Peripheral blood smear: 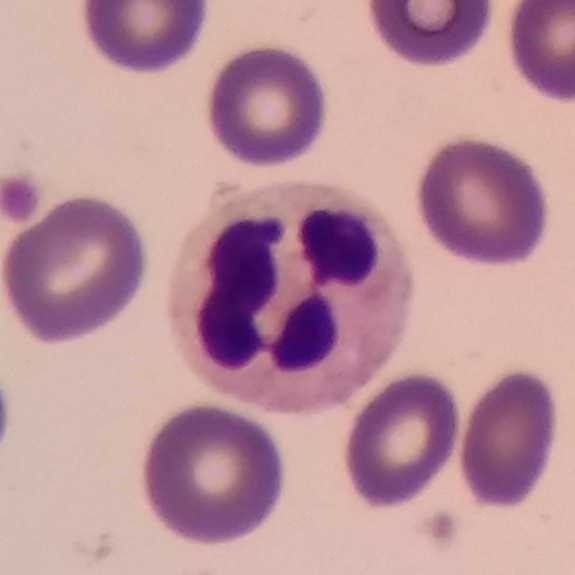

Q: Which cell type is shown here?
A: This is a neutrophilic granulocyte.